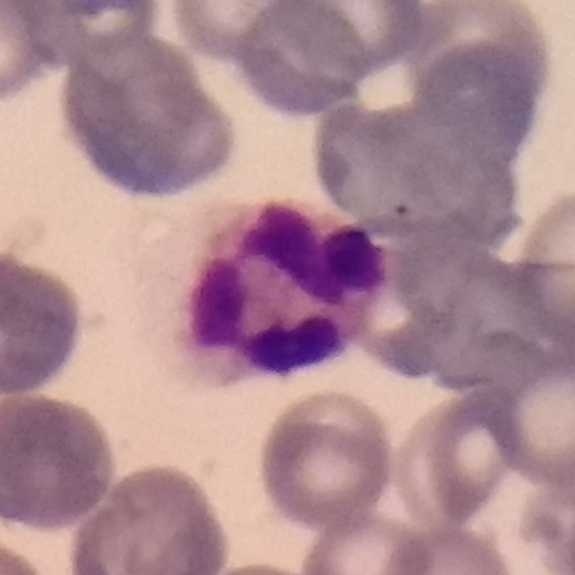Image: Peripheral blood film. This is a neutrophilic granulocyte.